Peripheral blood smear — 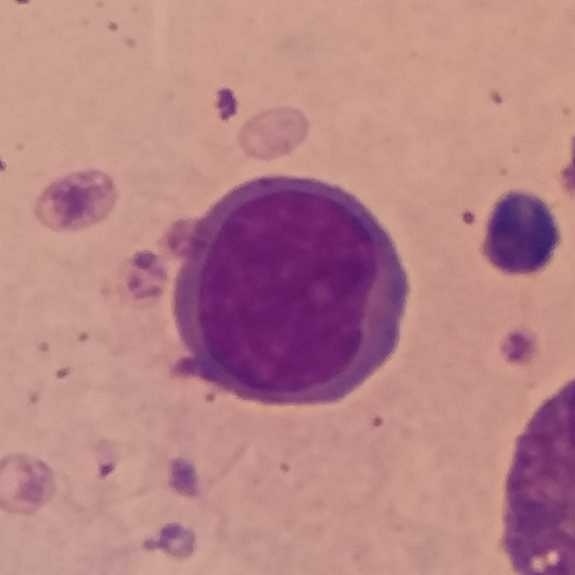
Lymphocyte.